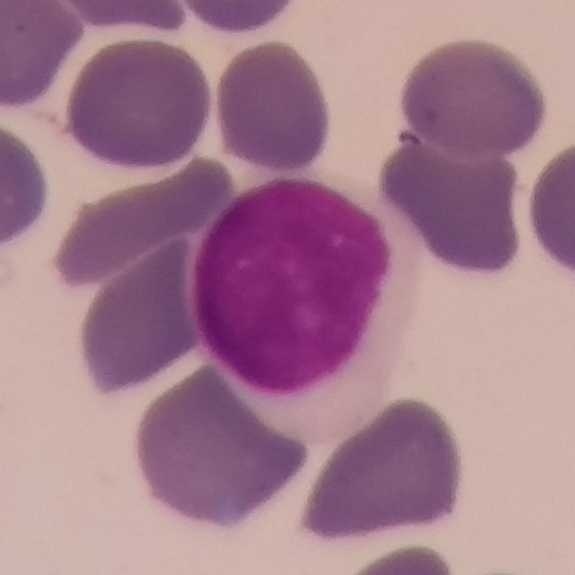

White blood cell type: lymphocyte.